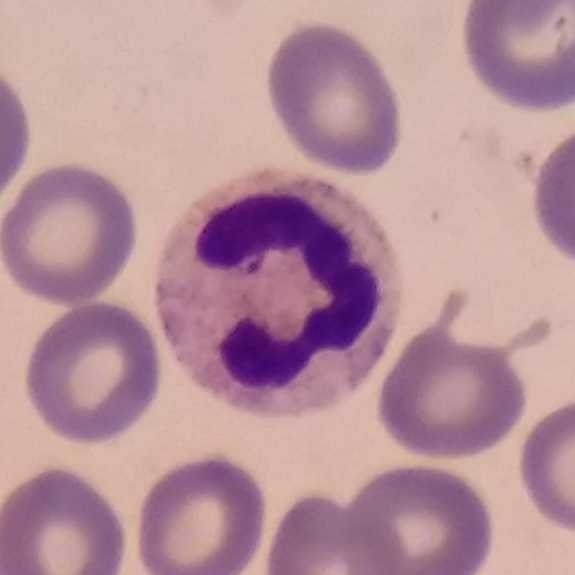

Single cell identified as a neutrophil granulocyte.

Context: Peripheral blood film.